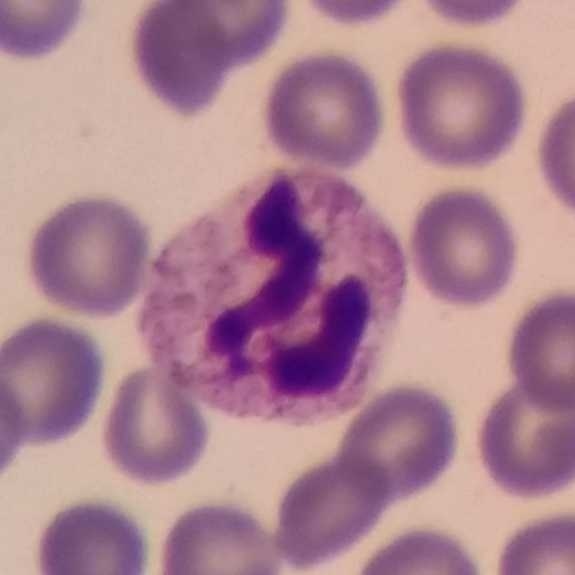
Q: Identify the cell.
A: Neutrophil granulocyte.